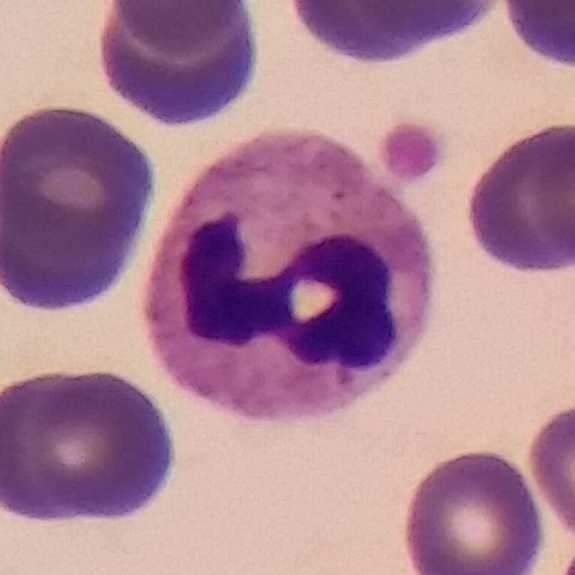 The classification is neutrophilic granulocyte.